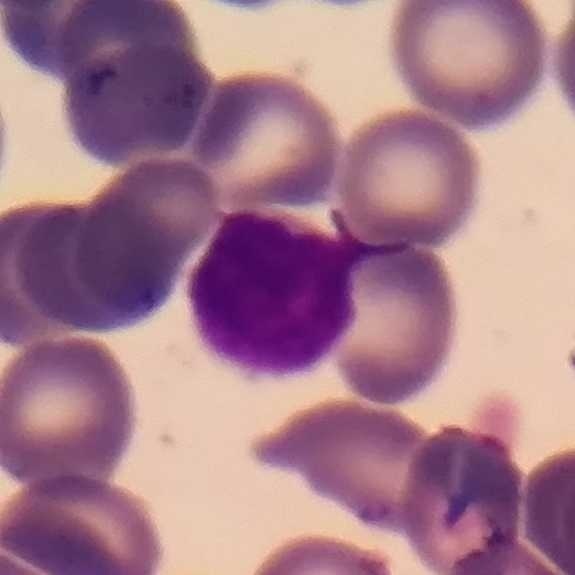Specimen: peripheral blood smear.
Cell type: lymphocyte.
Lineage: lymphoid.